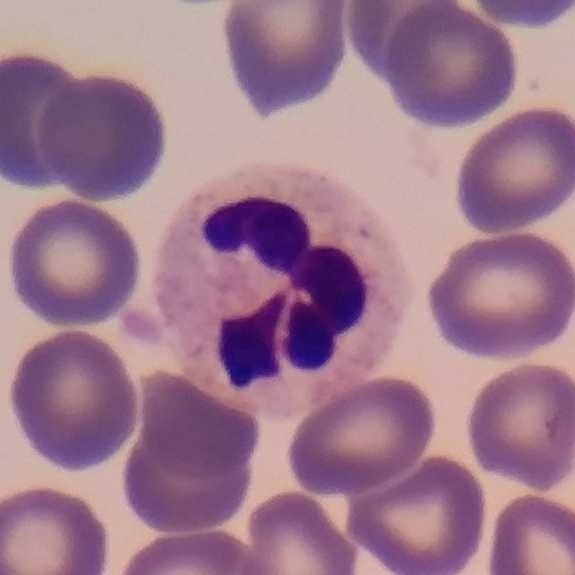
Smartphone camera mounted on the microscope eyepiece · image size 575×575 · peripheral blood smear. The white blood cell in this image is a neutrophil granulocyte.